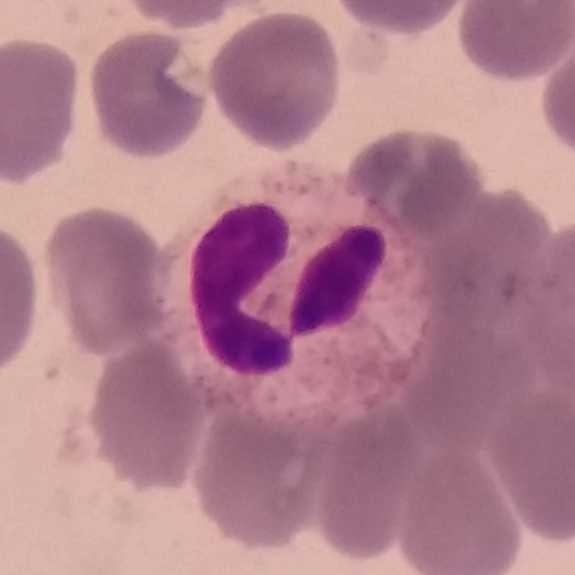Impression — neutrophil.